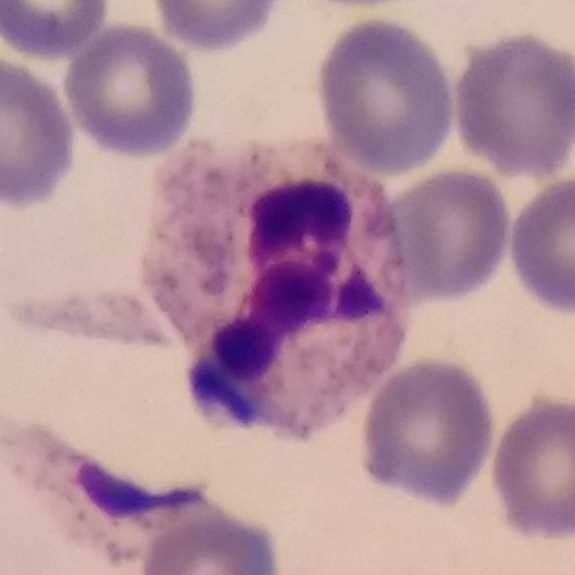
Image: Peripheral blood smear; single white blood cell cropped from the smear photograph.
White blood cell type: neutrophil granulocyte.